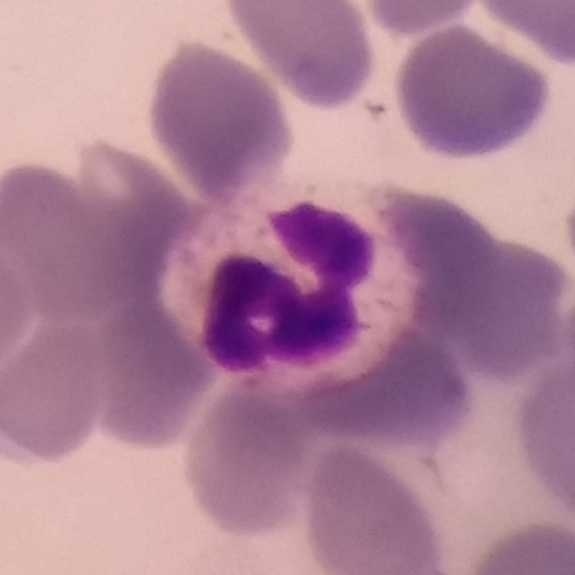
A neutrophilic granulocyte.